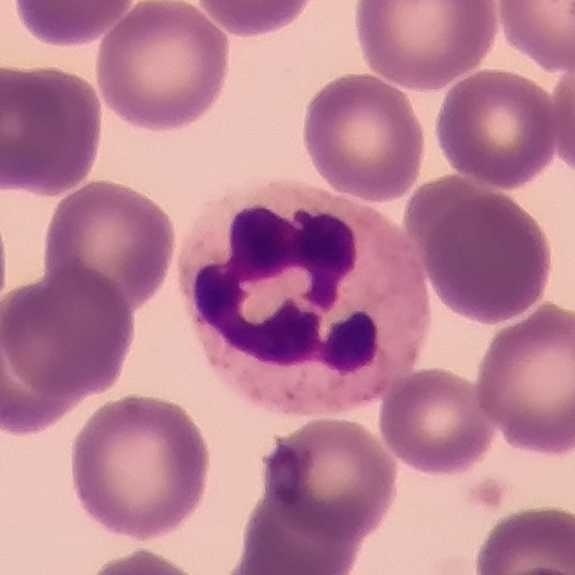 Phone-camera image taken through the microscope ocular · magnification 100× · peripheral blood smear. White blood cell type — neutrophil granulocyte.